Giemsa stain · peripheral blood smear
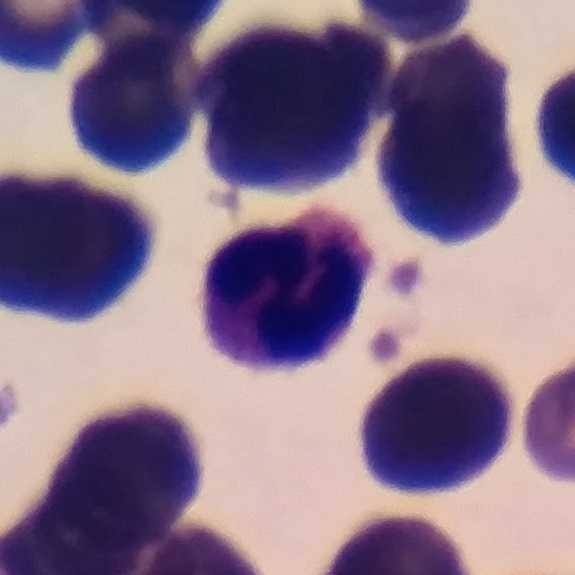

Q: What is this?
A: It is a neutrophil granulocyte.